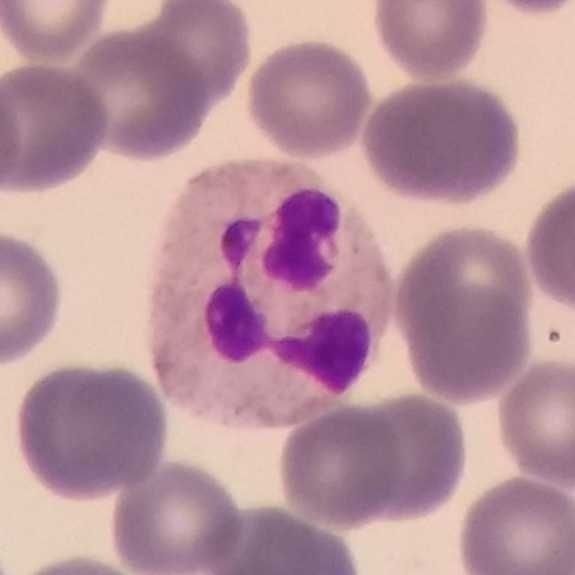 Peripheral blood smear. Morphological class — neutrophilic granulocyte.